Peripheral blood film — 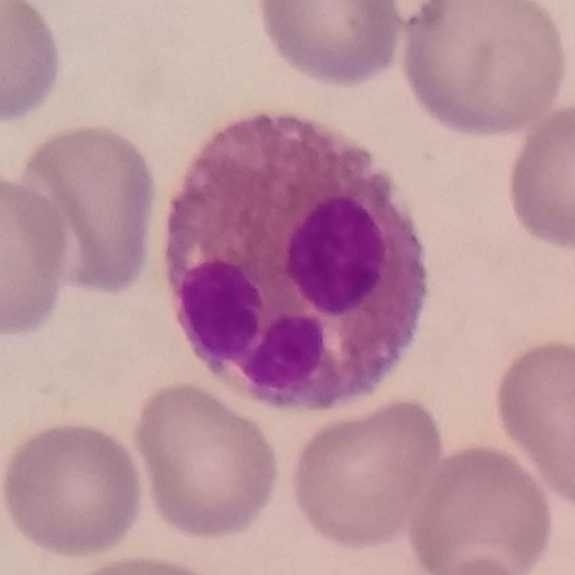 {"cell_type": "eosinophil", "lineage": "myeloid"}